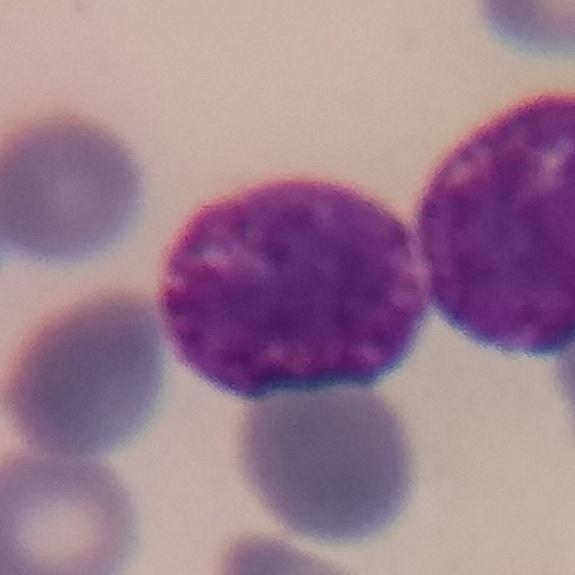
Single cell identified as a basophil.